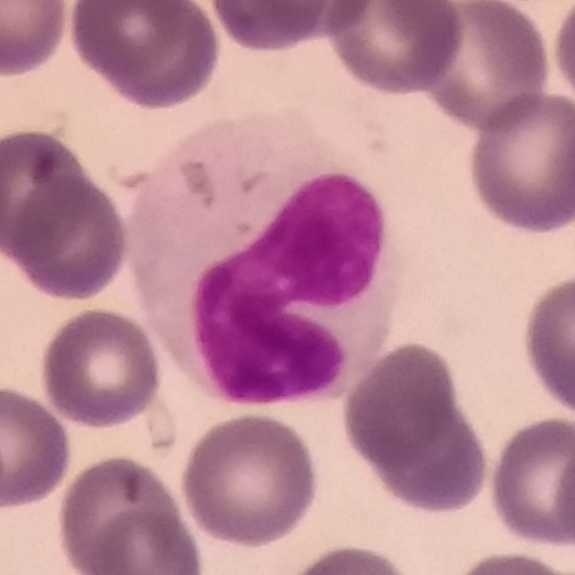
Classification — monocyte.

Acquisition: Peripheral blood film; stained with Giemsa.